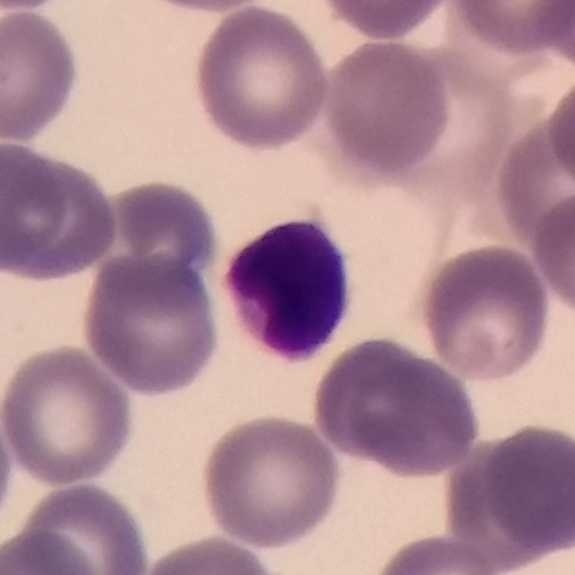

White blood cell type: lymphocyte.